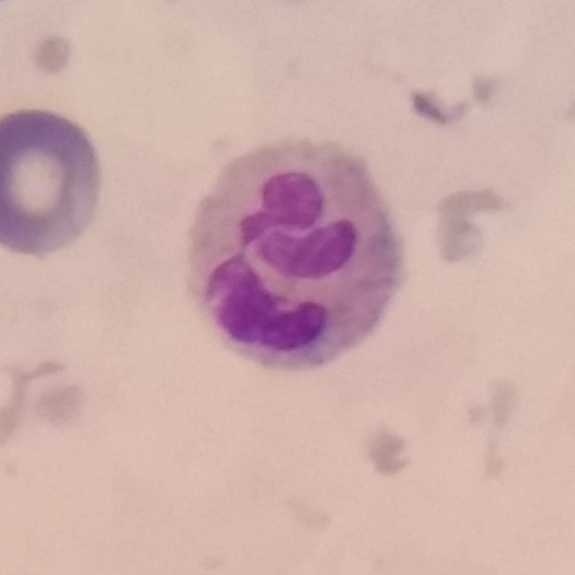 {"cell_type": "eosinophil", "lineage": "myeloid"}